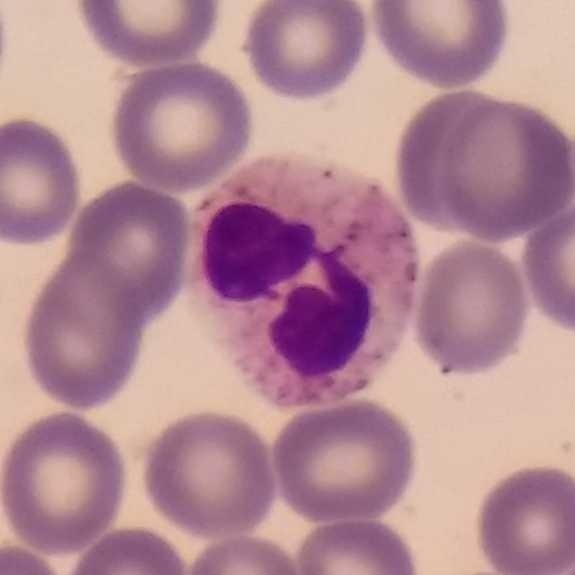Preparation: Peripheral blood smear; cropped to one leukocyte. Q: Classify this leukocyte.
A: Neutrophil.